Peripheral blood film.
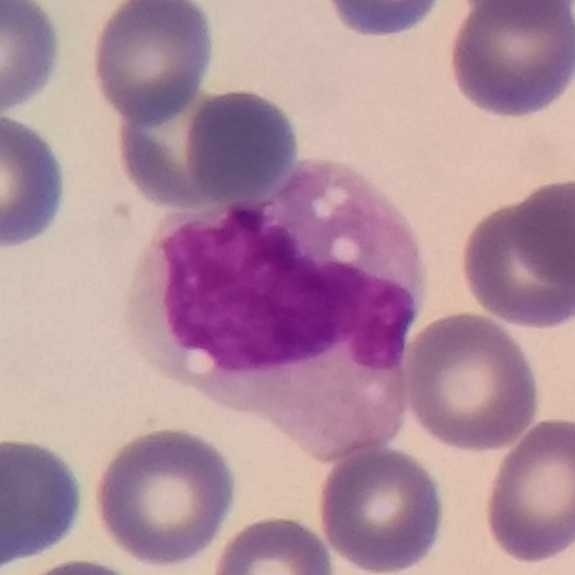 The white blood cell in this image is a monocyte.